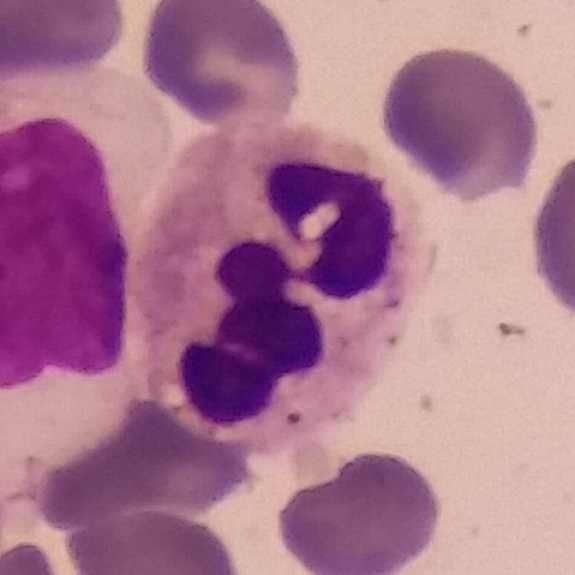

The cell shown is a neutrophilic granulocyte.
Peripheral blood film.